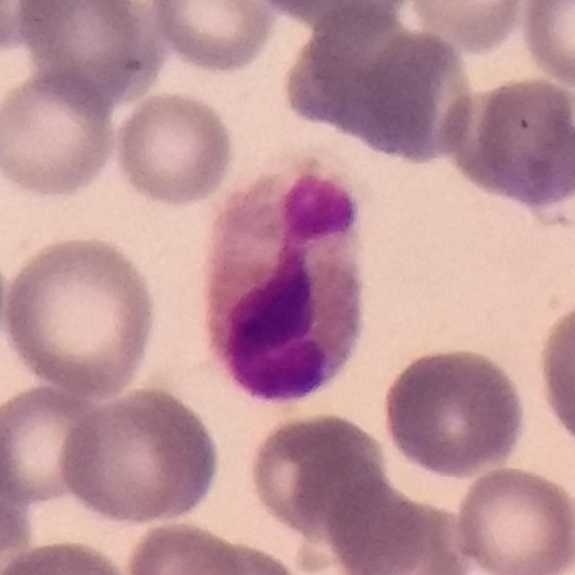 Image: Peripheral blood smear · 575×575. Morphology — neutrophil granulocyte.